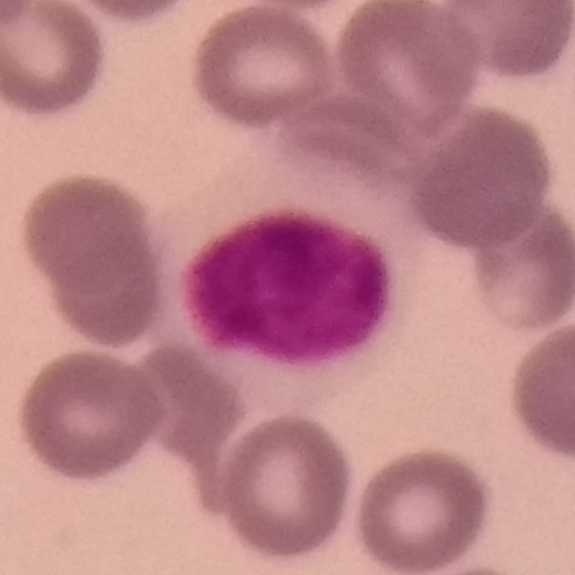

Q: What type of cell is this?
A: This is a lymphocyte.